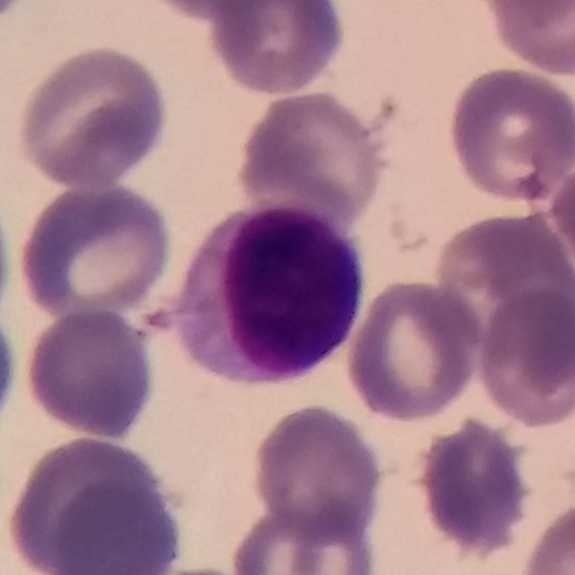Preparation: Peripheral blood film.
Lymphocyte.